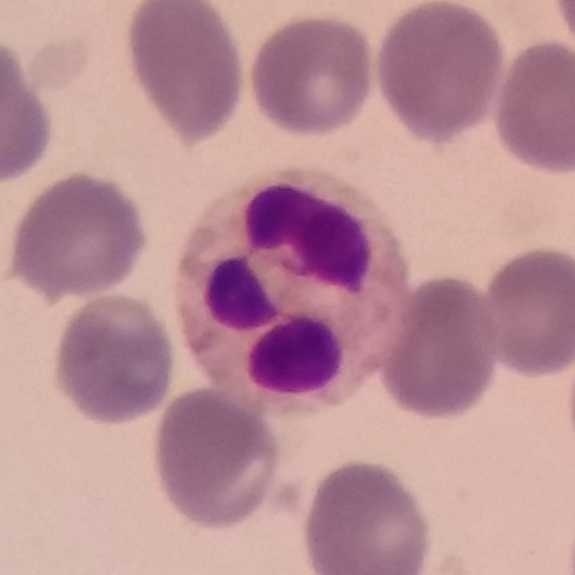 A neutrophil on a peripheral blood smear.